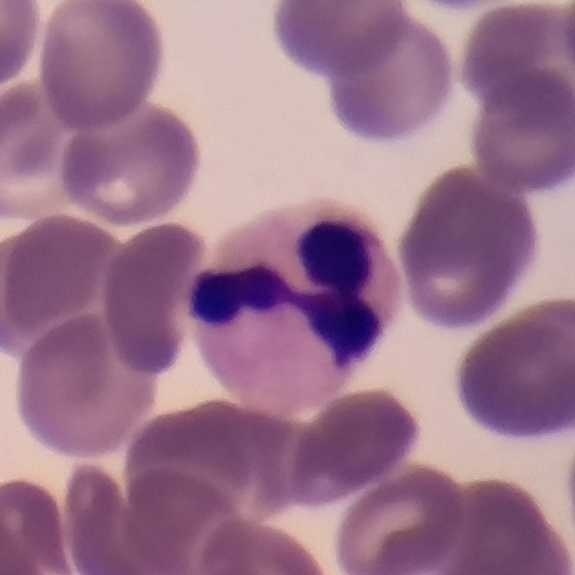 Cell — neutrophil granulocyte.
Context: Peripheral blood smear.